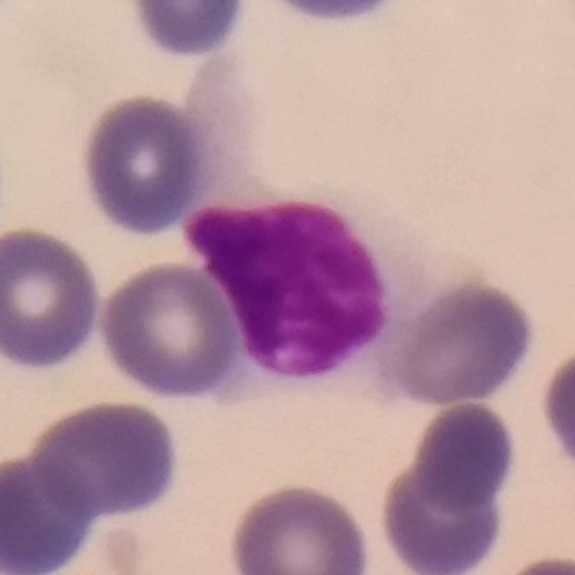
Acquisition: Peripheral blood smear.

Cell: lymphocyte.